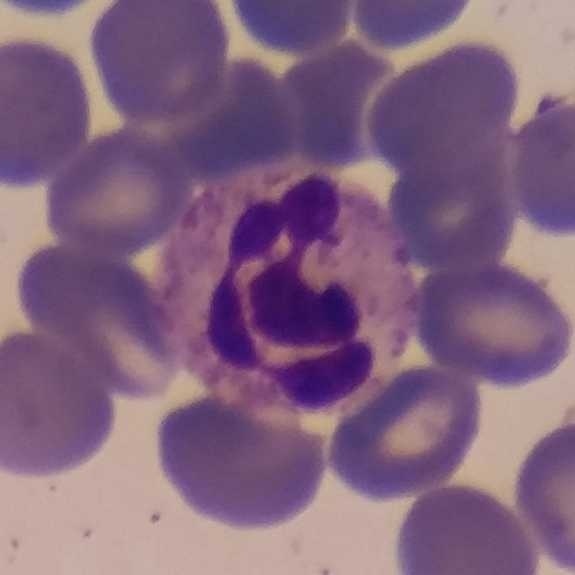
Peripheral blood smear. {"cell_type": "neutrophilic granulocyte", "lineage": "myeloid"}